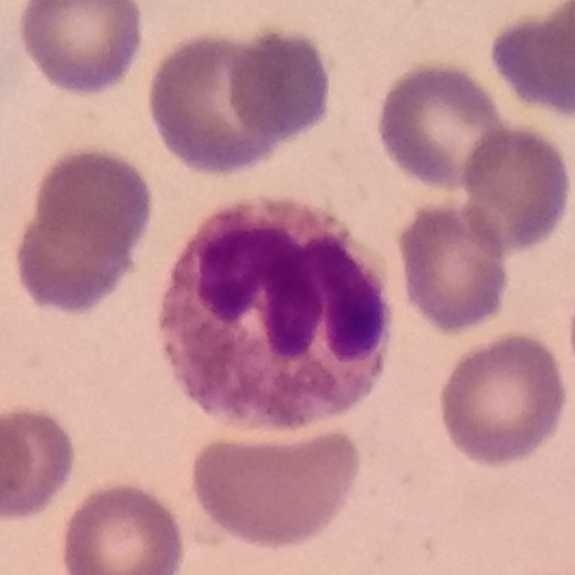 {"cell_type": "neutrophilic granulocyte"}